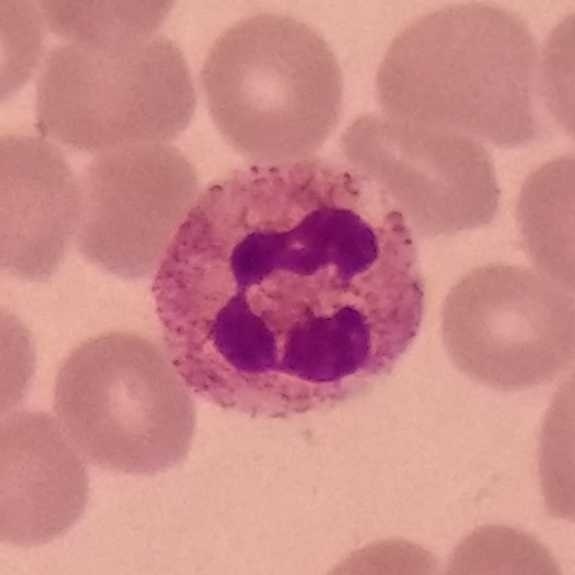 Peripheral blood film, single cell — neutrophilic granulocyte.